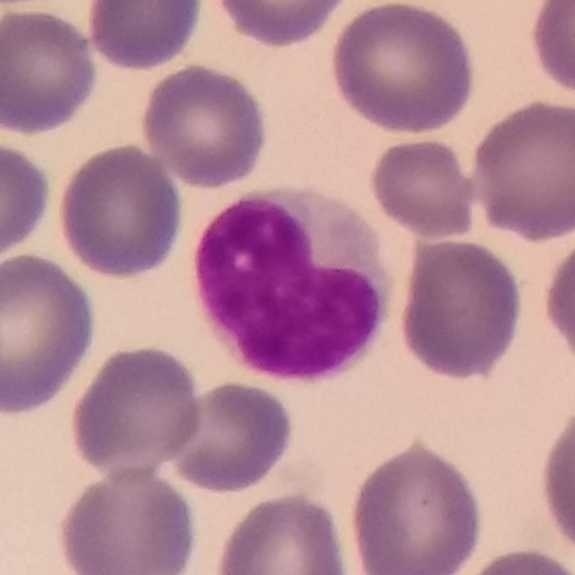

Q: What is this?
A: Lymphocyte.

Acquisition: Peripheral blood smear.